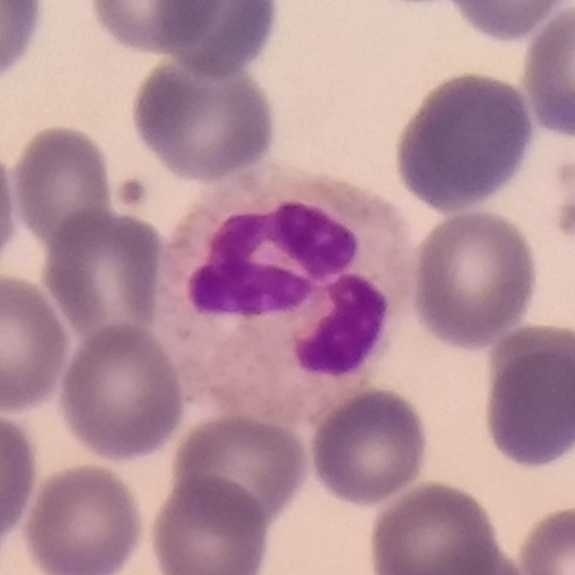
Neutrophilic granulocyte.